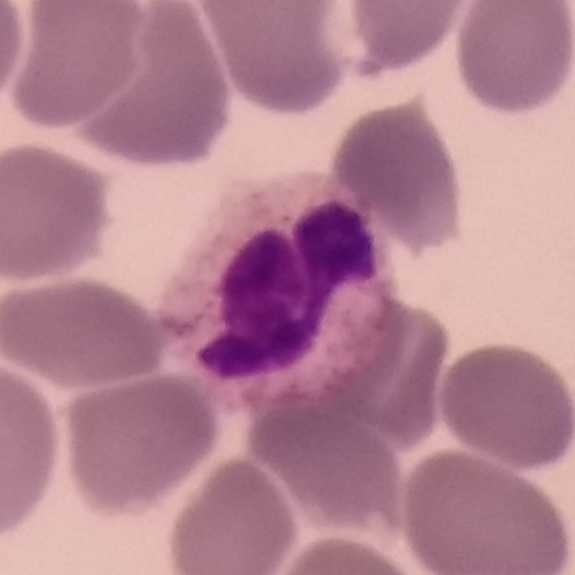
Peripheral blood film.

Neutrophil.